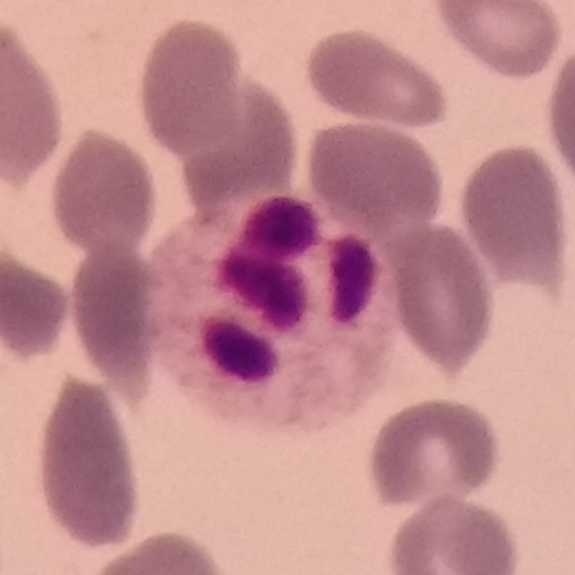 Preparation: 575×575. Peripheral blood smear. This is a neutrophil.